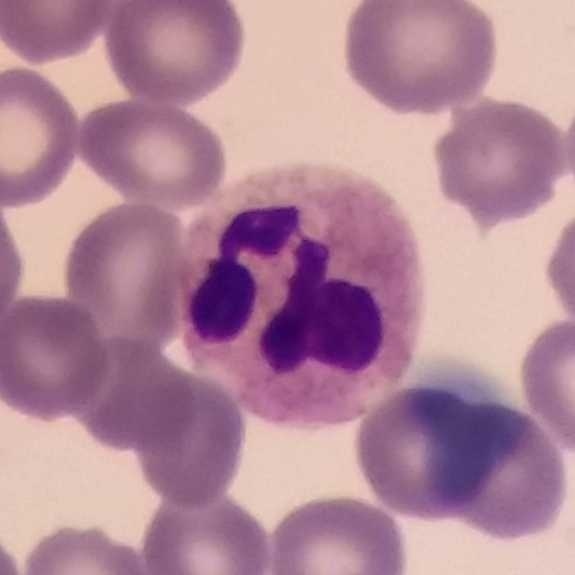Image: Single white blood cell cropped from the smear photograph. Peripheral blood smear.
Morphological class = neutrophil granulocyte.